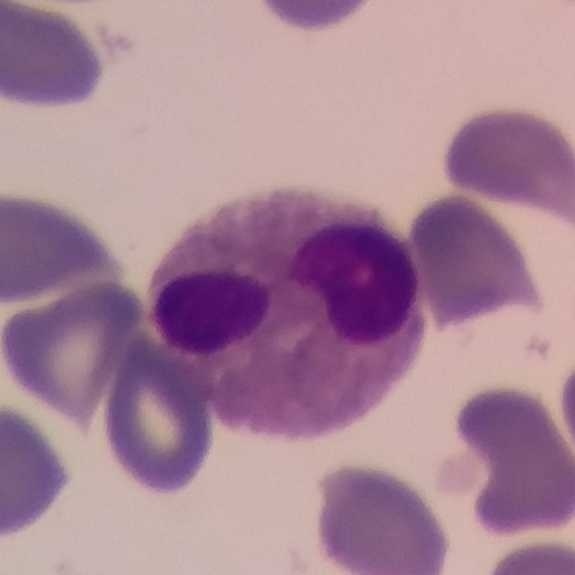Specimen: peripheral blood film.
Cell: eosinophilic granulocyte.
Lineage: myeloid.